Smartphone camera mounted on the microscope eyepiece · peripheral blood smear: 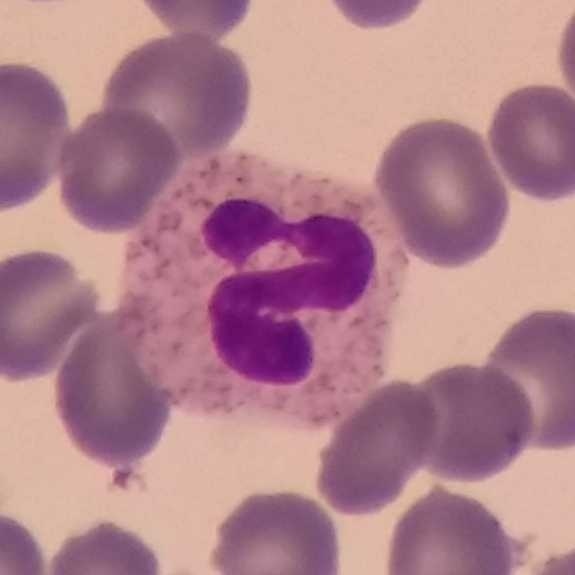

Q: Identify the cell.
A: This is a neutrophil granulocyte.